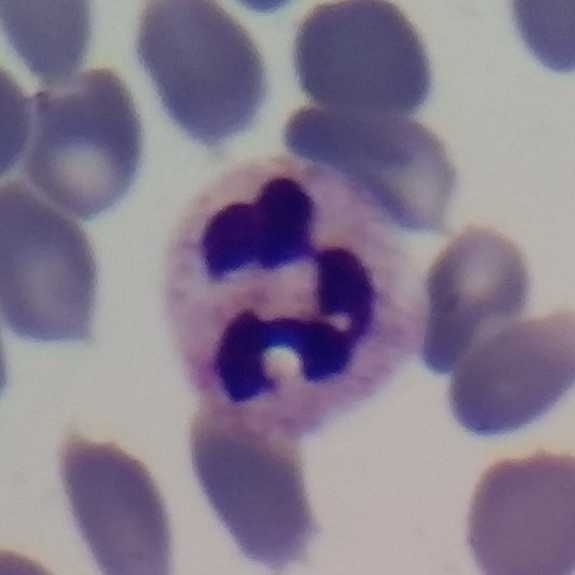
Specimen: peripheral blood film.
Cell type: neutrophilic granulocyte.
Lineage: myeloid.